Peripheral blood smear — 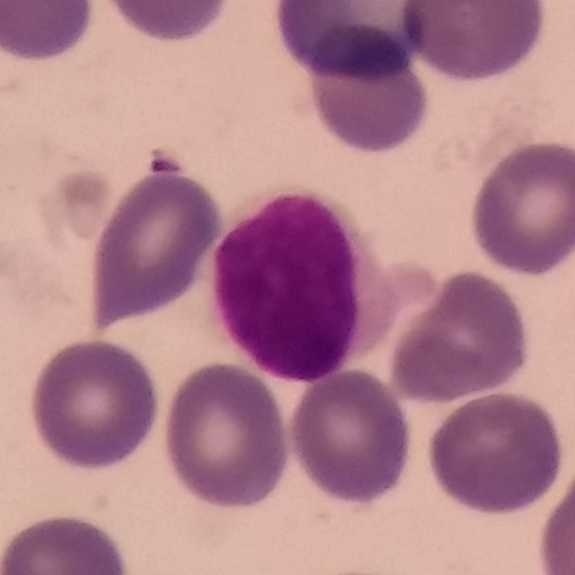Showing a lymphocyte.